Peripheral blood film. Smartphone photomicrograph. 575×575 — 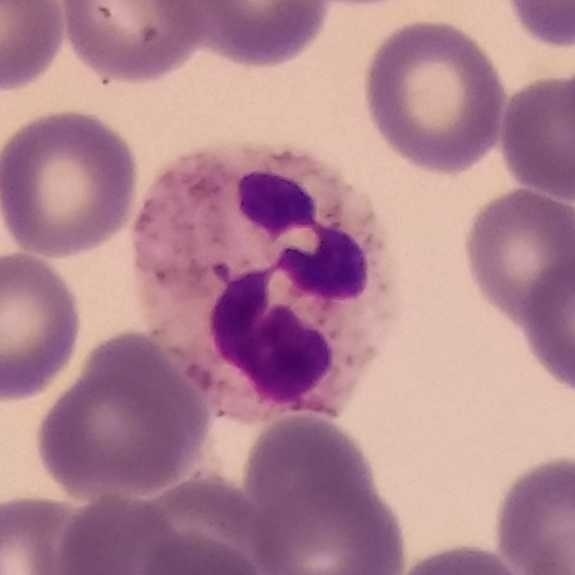

Morphological class: neutrophil.